Cropped to one leukocyte; peripheral blood smear:
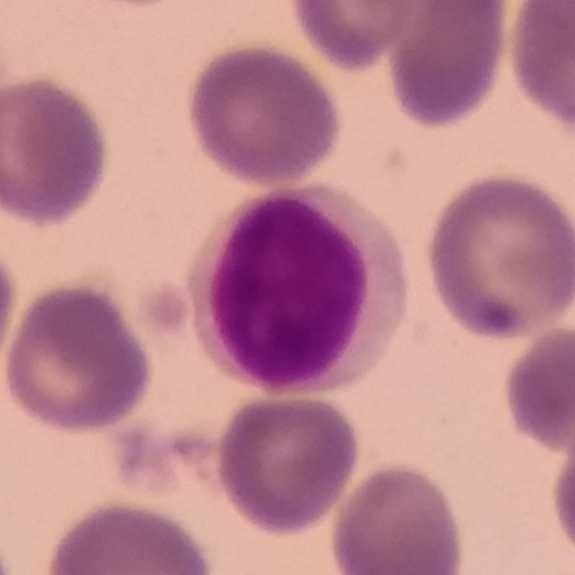
Identified as a lymphocyte.